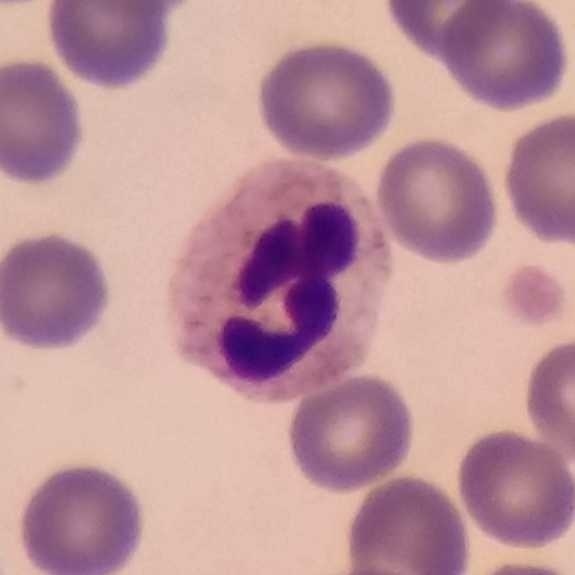

{"cell_type": "neutrophil granulocyte"}
Context: Peripheral blood smear.